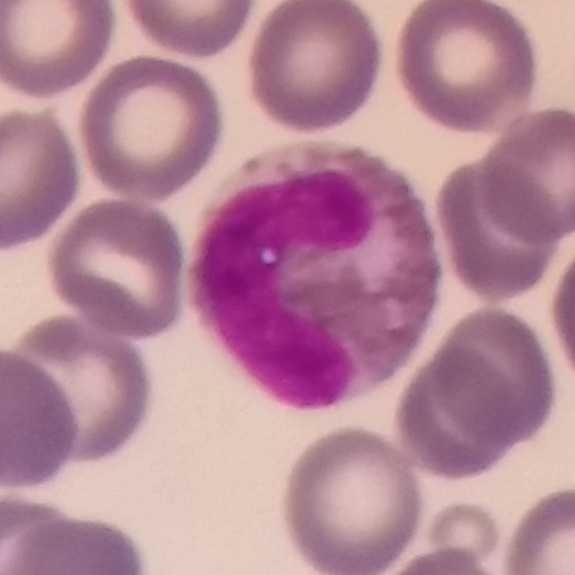 Context: Peripheral blood smear. {"cell_type": "eosinophilic granulocyte", "lineage": "myeloid"}